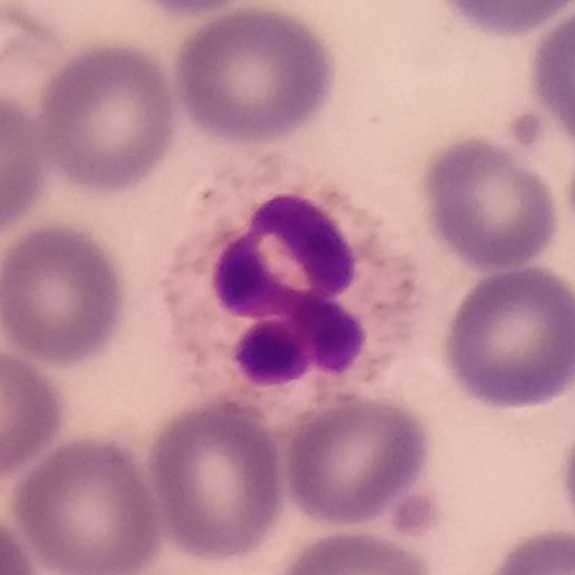

White blood cell type — neutrophilic granulocyte.
Peripheral blood film.